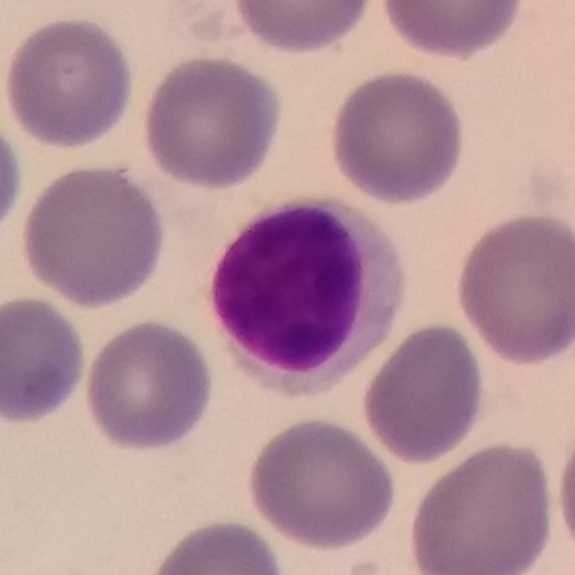
Classification = lymphocyte.